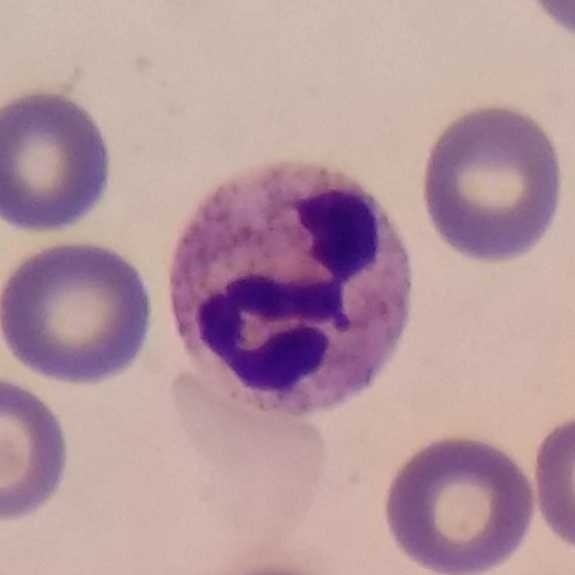

Q: What cell is this?
A: A neutrophil granulocyte.